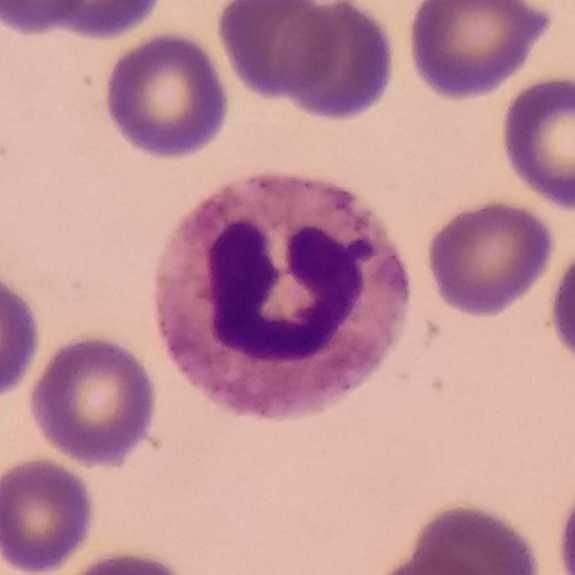
Preparation: Peripheral blood film · single-cell crop. White blood cell type = neutrophil.